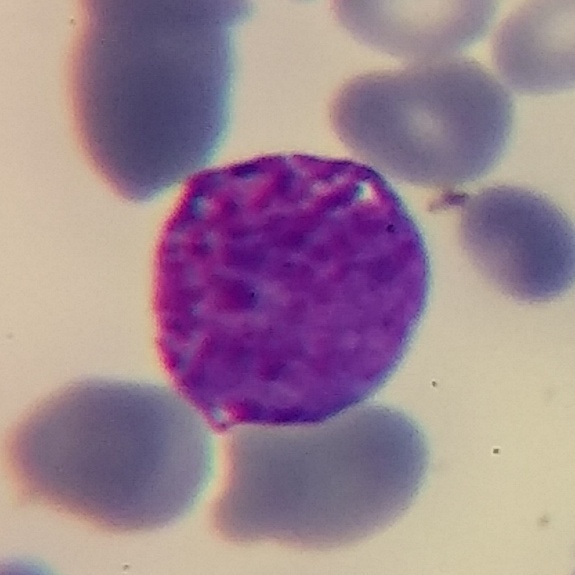Context: 575 by 575 pixels · peripheral blood film. Morphology → basophil.